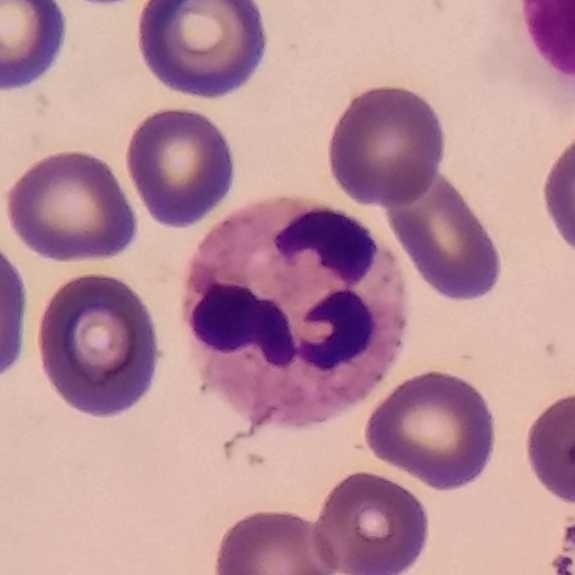

White blood cell type = neutrophil granulocyte.

Peripheral blood smear.